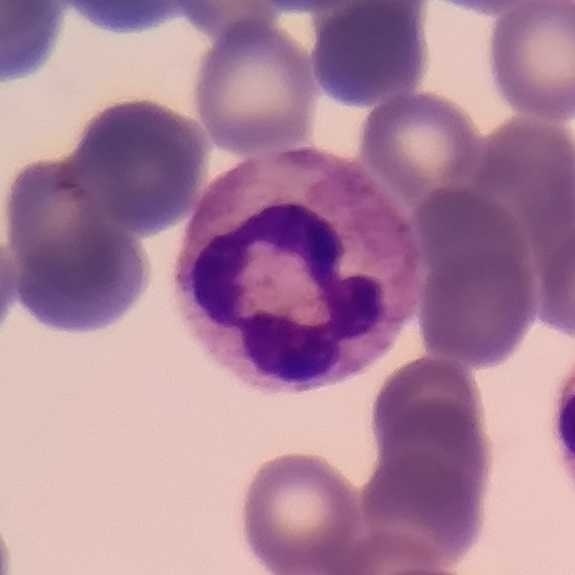{"cell_type": "neutrophil"}
Context: Peripheral blood smear.